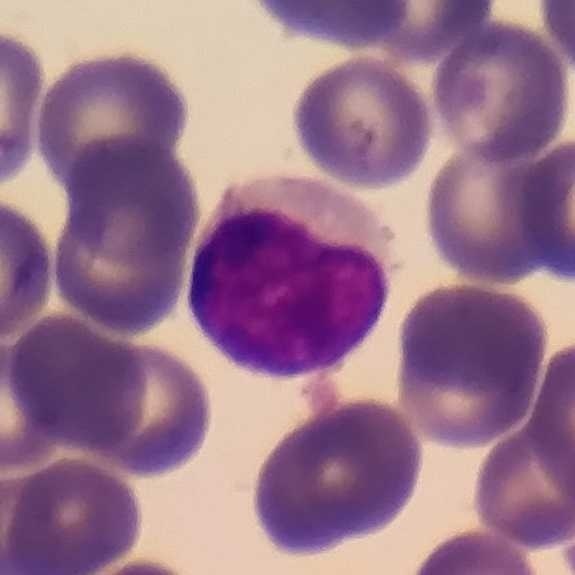Context: Magnification 100× · peripheral blood film.

Impression → lymphocyte.